Peripheral blood smear · imaged at 100×.
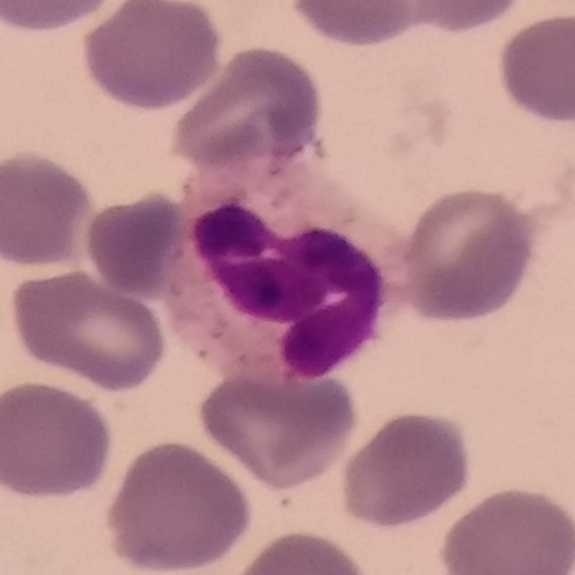 Impression → neutrophilic granulocyte.